Peripheral blood film
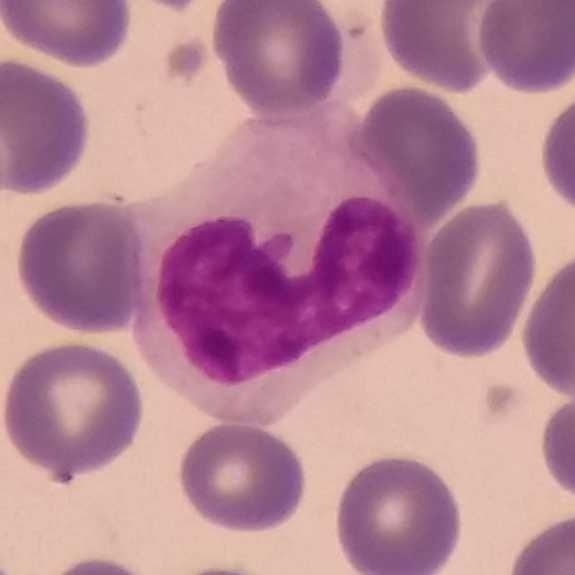

Classification: monocyte.